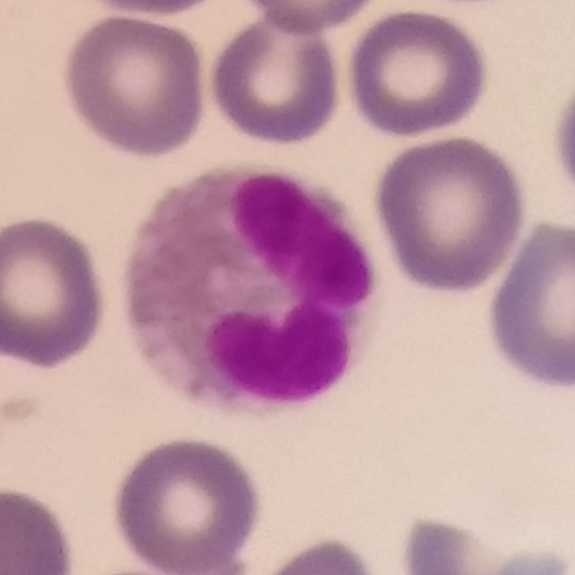

The cell type is eosinophil.
Peripheral blood smear.